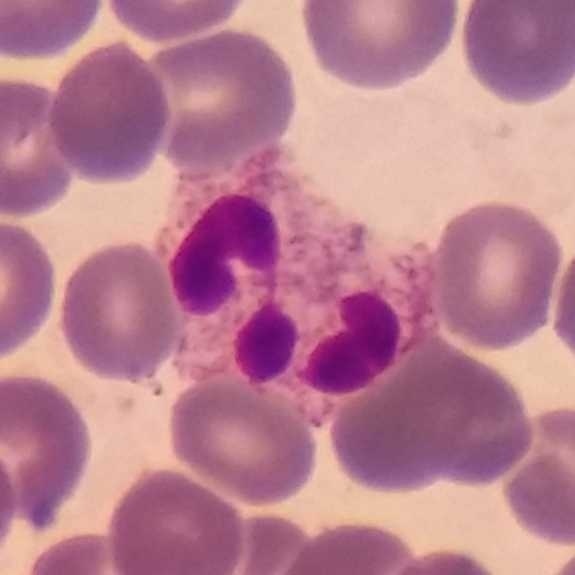

Preparation: Peripheral blood smear. Smartphone photomicrograph.

Morphology → neutrophil.